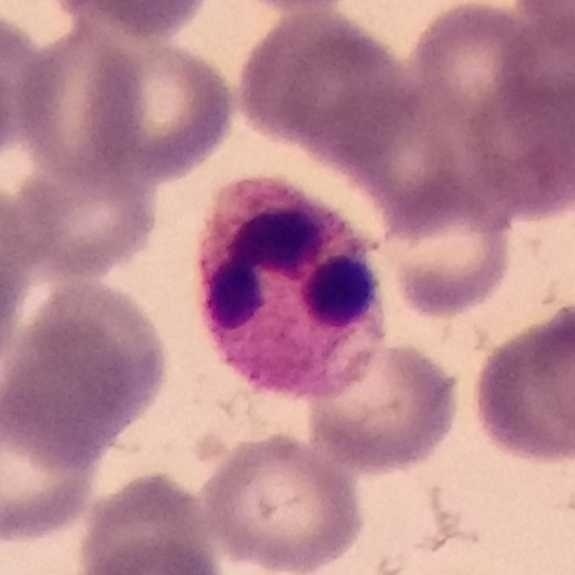

Specimen: peripheral blood film.
Morphological class: neutrophilic granulocyte.